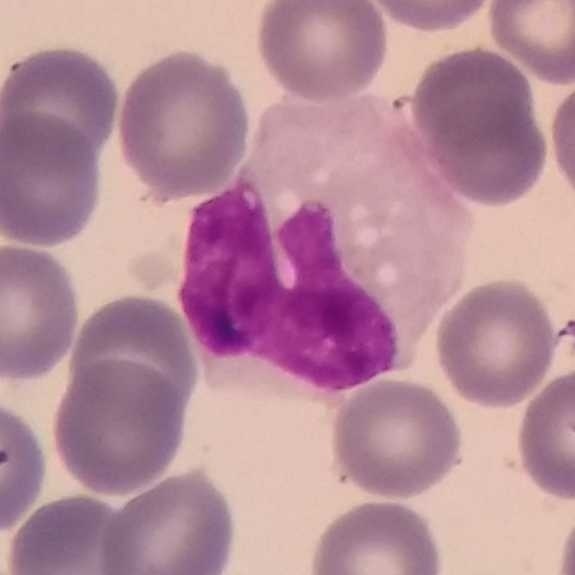A monocyte.

Image: Peripheral blood film · 575×575 · photographed through a light microscope with a smartphone camera.